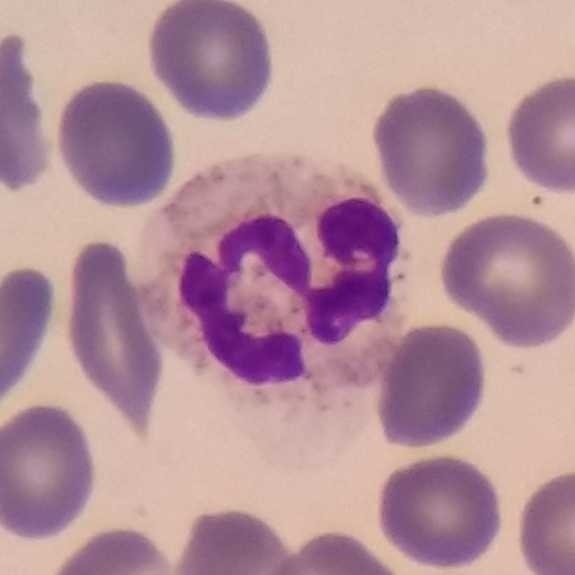
Acquisition: Giemsa-stained · smartphone photomicrograph.
Specimen: peripheral blood film.
Cell: neutrophil granulocyte.